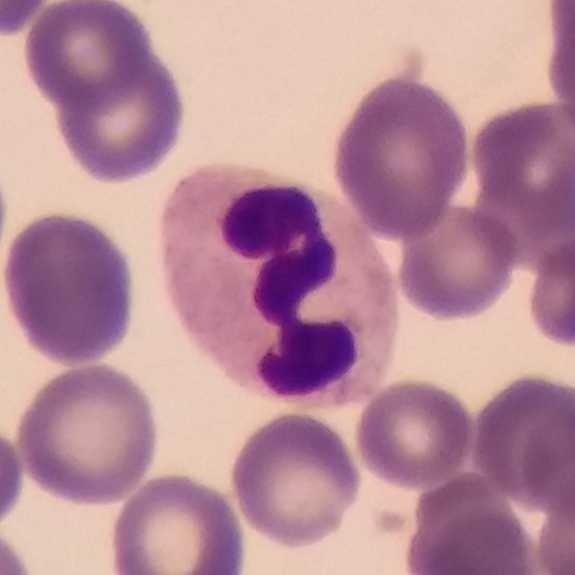 Context: Peripheral blood film; single-cell field. Q: What cell is this?
A: Neutrophil granulocyte.